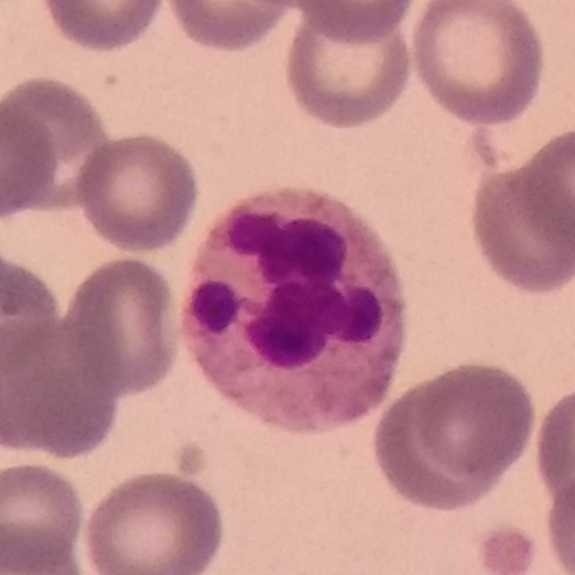Image: Peripheral blood smear.

Morphology consistent with a neutrophil.